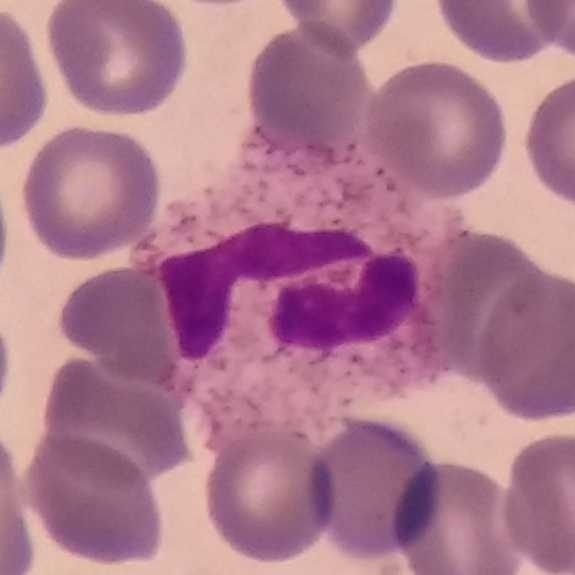Q: Classify this leukocyte.
A: A neutrophil granulocyte.

Image: Peripheral blood film.